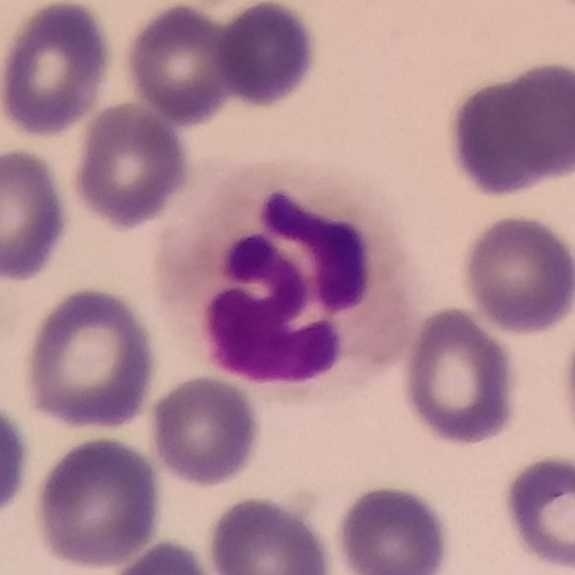
Morphology → neutrophilic granulocyte.